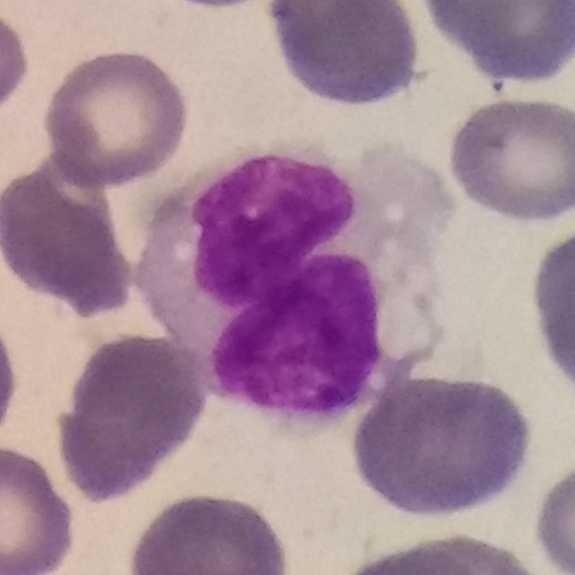Specimen: peripheral blood smear.
Cell type: monocyte.
Lineage: myeloid.